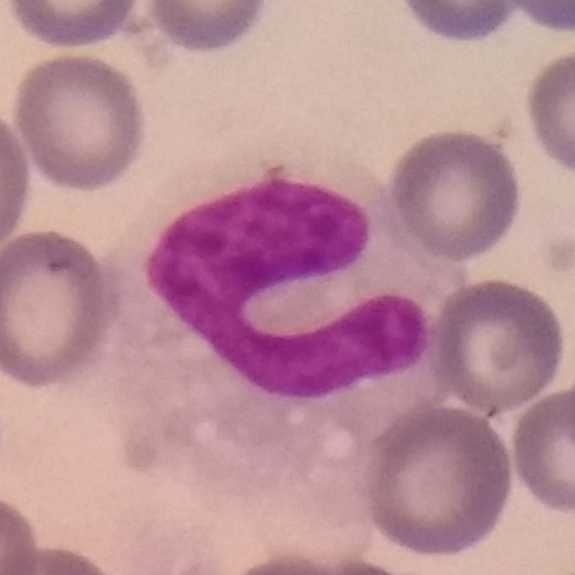 Acquisition: Peripheral blood smear · single-cell field · stained with Giemsa. {"cell_type": "monocyte"}